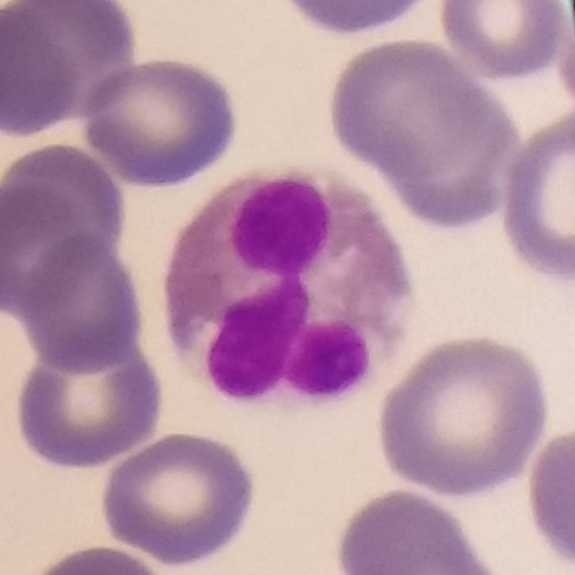 Showing an eosinophil.